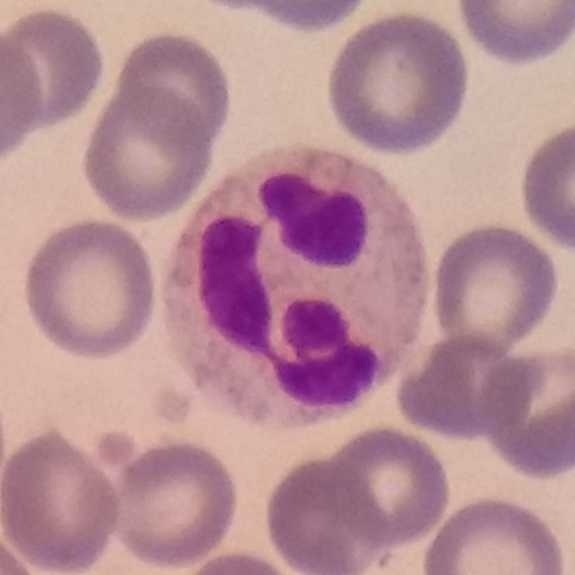
Image: Peripheral blood smear. 575×575 px. Morphological class = neutrophil granulocyte.